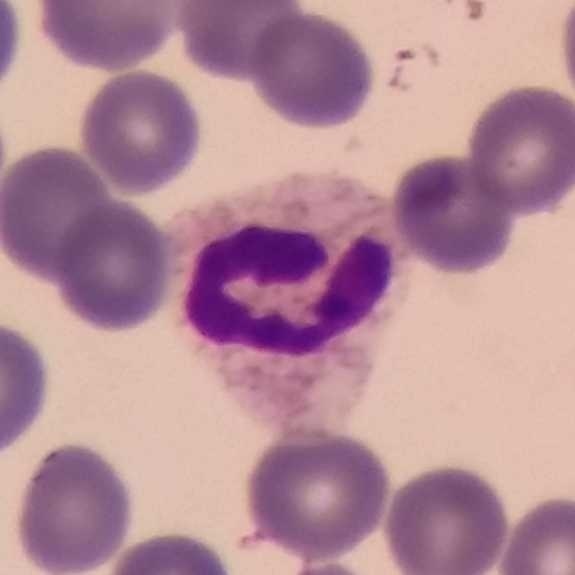 A neutrophil granulocyte.
Preparation: Image size 575×575. Cropped to one leukocyte. Peripheral blood smear.